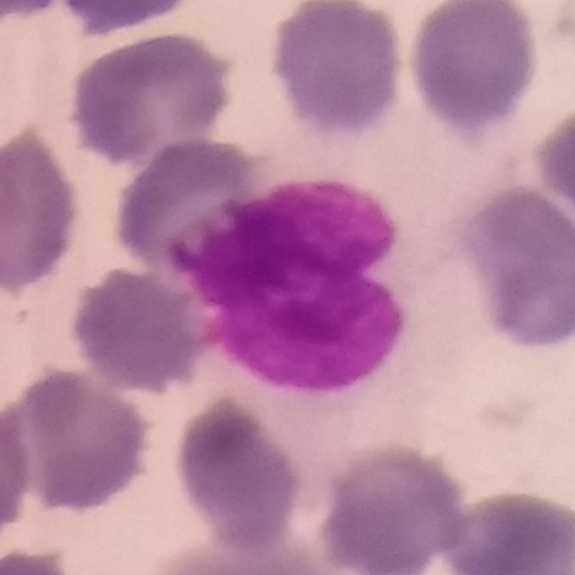
The cell shown is a monocyte.

Peripheral blood film.